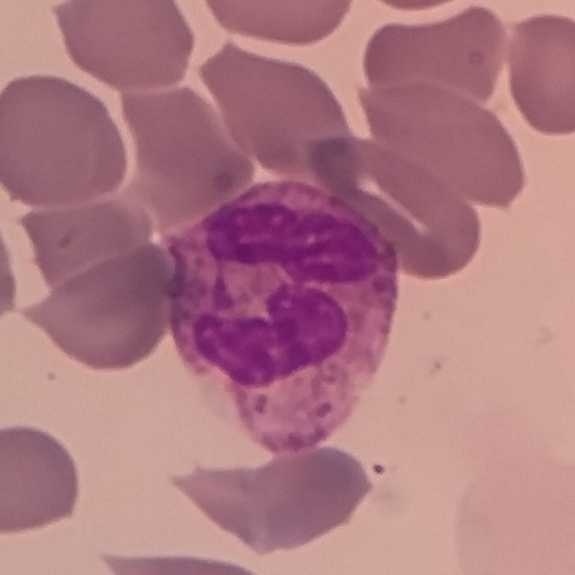

Specimen: peripheral blood smear.
Cell: neutrophilic granulocyte.